Peripheral blood film.
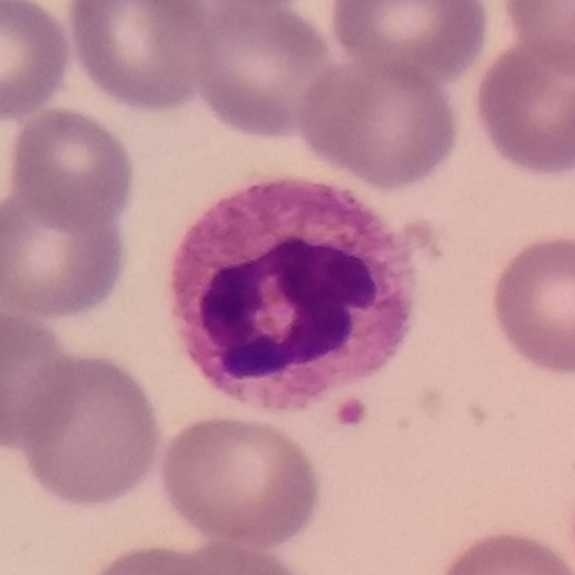
Q: What is this?
A: It is a neutrophilic granulocyte.